Peripheral blood smear:
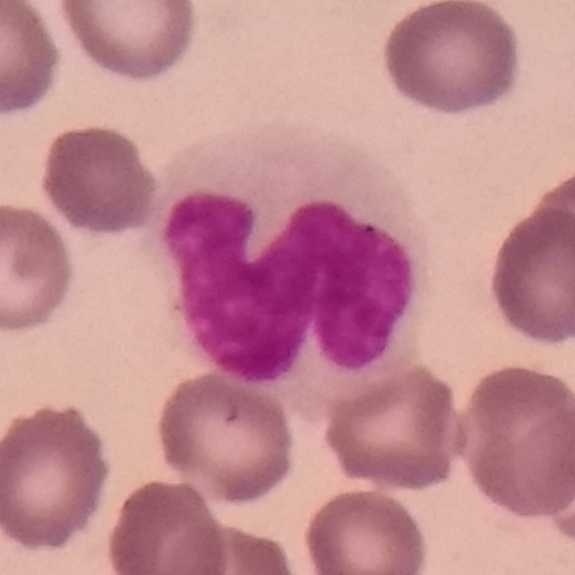 Cell type: monocyte.